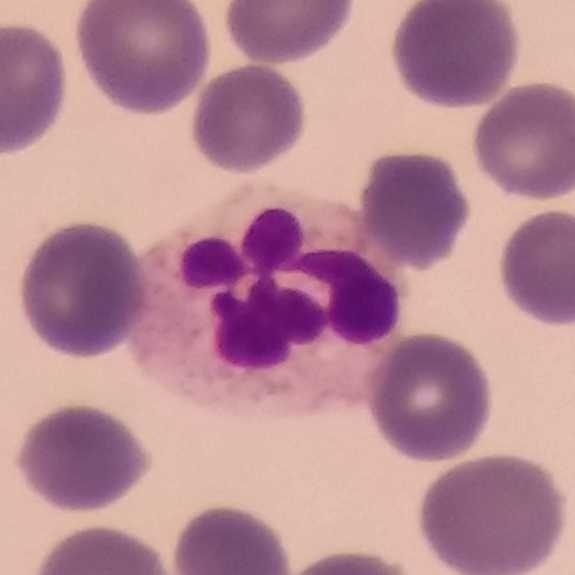

Acquisition: Peripheral blood film. Stained with Giemsa. Q: Identify the cell.
A: This is a neutrophilic granulocyte.